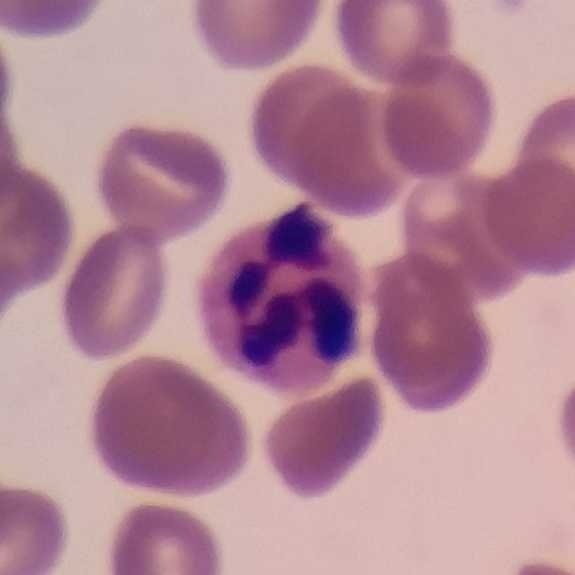Acquisition: Peripheral blood film · magnification 100×.

Neutrophil granulocyte.